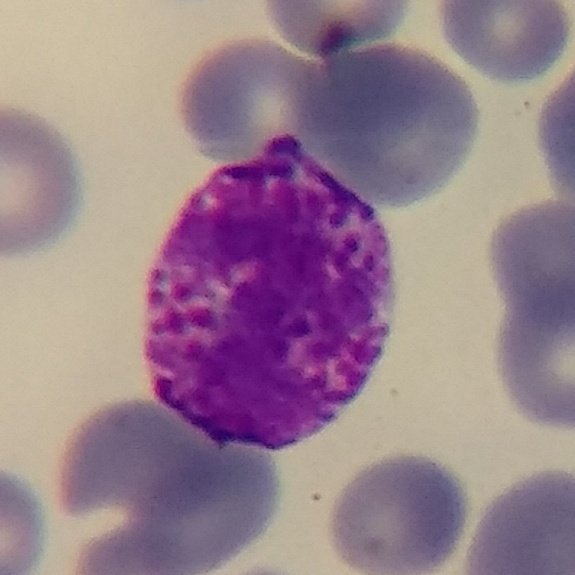Q: Which cell type is shown here?
A: A basophilic granulocyte.